Peripheral blood smear — 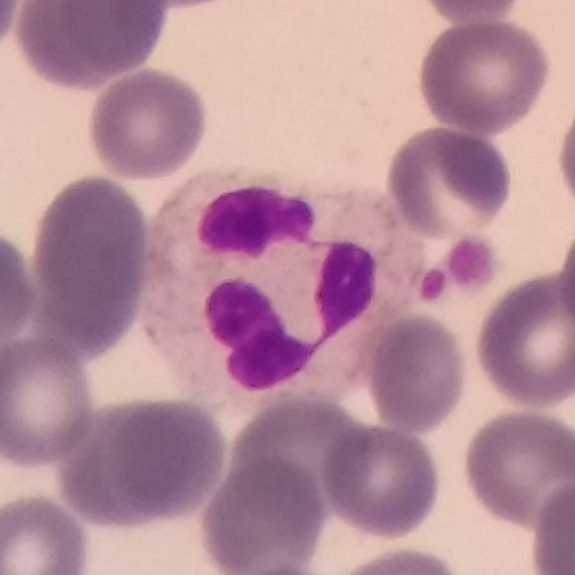
{"cell_type": "neutrophil", "lineage": "myeloid"}